Peripheral blood smear. Giemsa-stained — 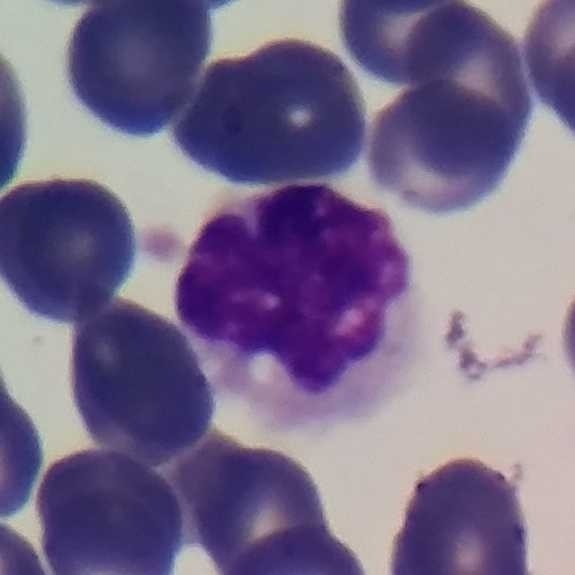
Specimen: peripheral blood smear.
Morphological class: monocyte.
Lineage: myeloid.